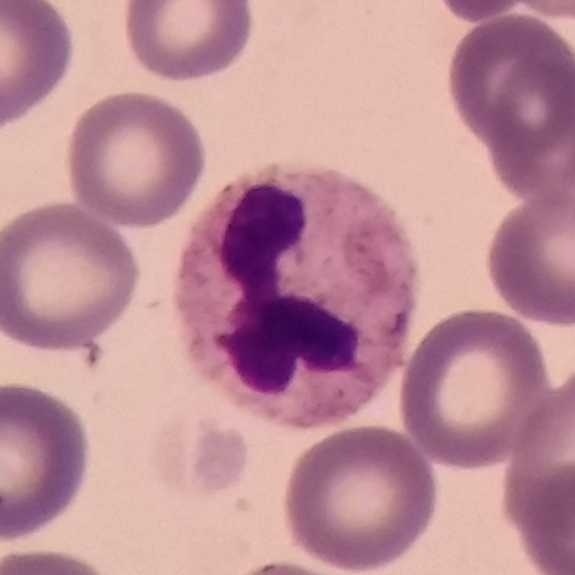

Preparation: Photographed through a light microscope with a smartphone camera · magnification 100× · peripheral blood film.

Morphological class: neutrophilic granulocyte.